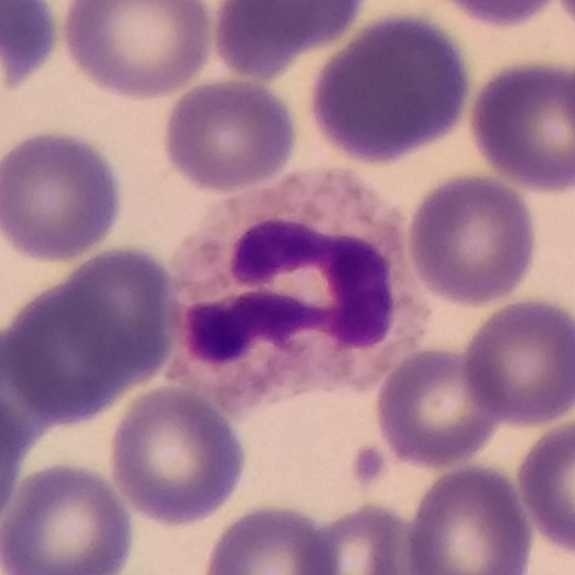The classification is neutrophil. 575 by 575 pixels; peripheral blood film.